Peripheral blood smear — 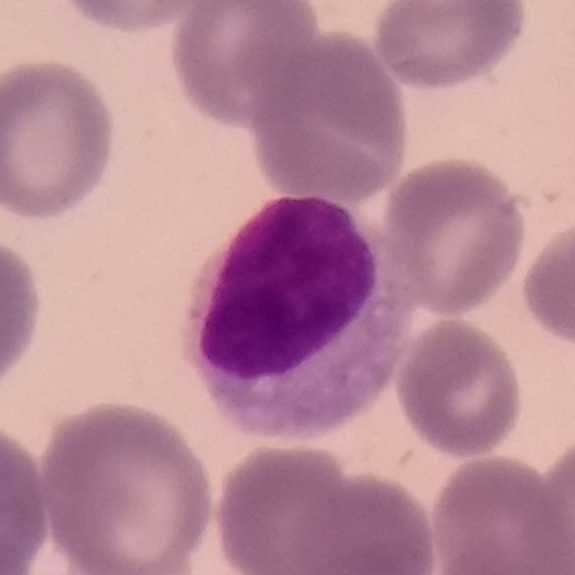This is a lymphocyte.